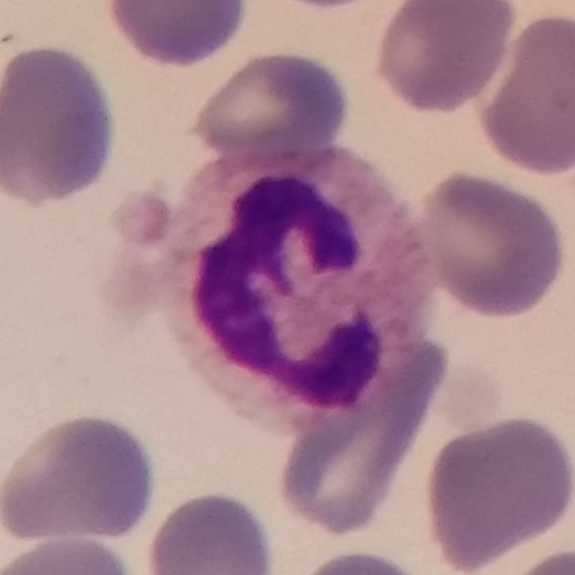

Single cell identified as a neutrophil granulocyte.